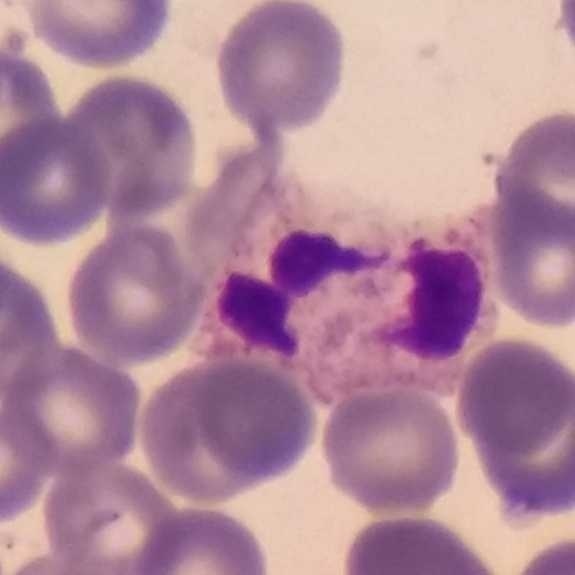Preparation: Peripheral blood film; imaged at 100×.
Neutrophil granulocyte.